Peripheral blood film:
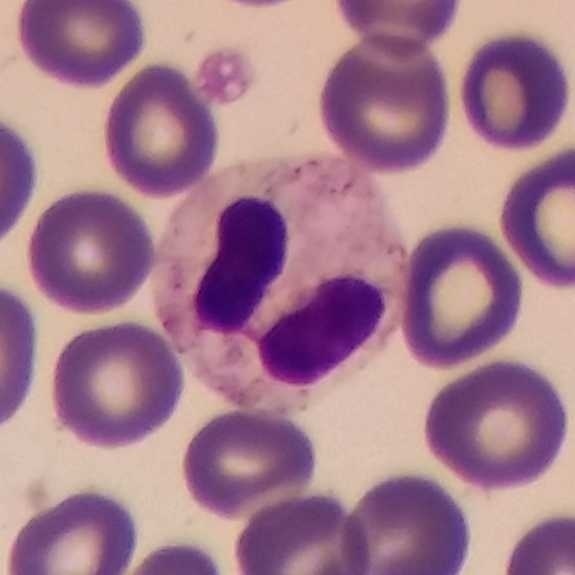 Q: What is the morphological classification of this cell?
A: Neutrophilic granulocyte.